Peripheral blood film.
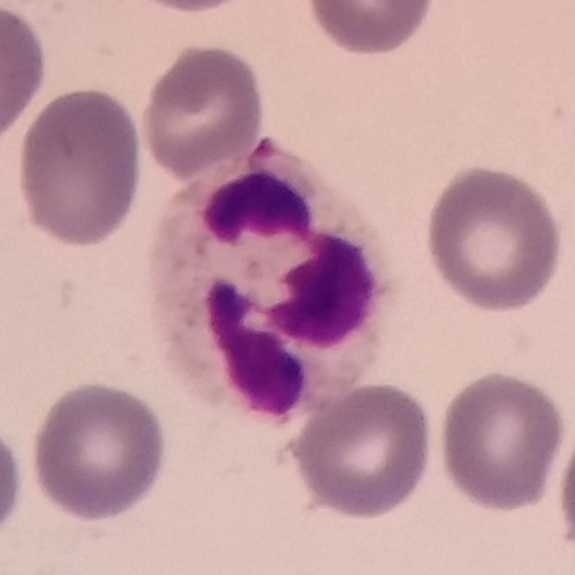 Q: What cell is this?
A: It is a neutrophil.